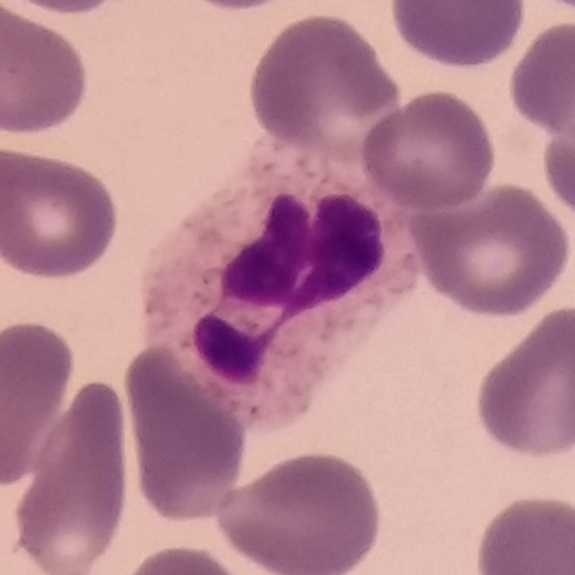 Peripheral blood film.

Q: What is this?
A: Neutrophilic granulocyte.